Photographed through a light microscope with a smartphone camera. Peripheral blood smear.
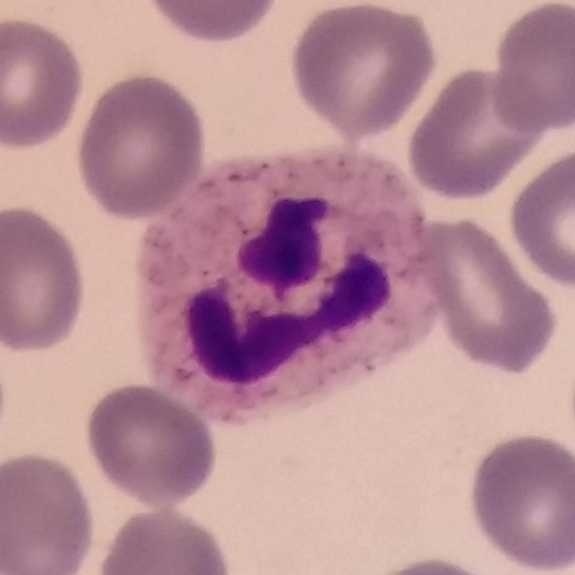Classification: neutrophil granulocyte.